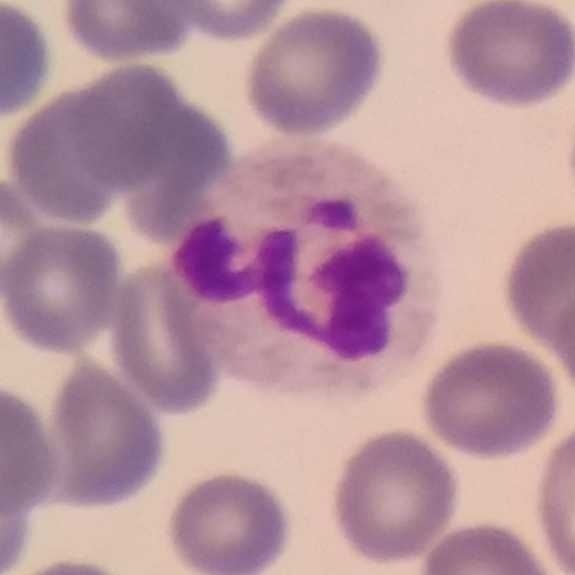

Single cell identified as a neutrophil granulocyte.

Preparation: Peripheral blood film.